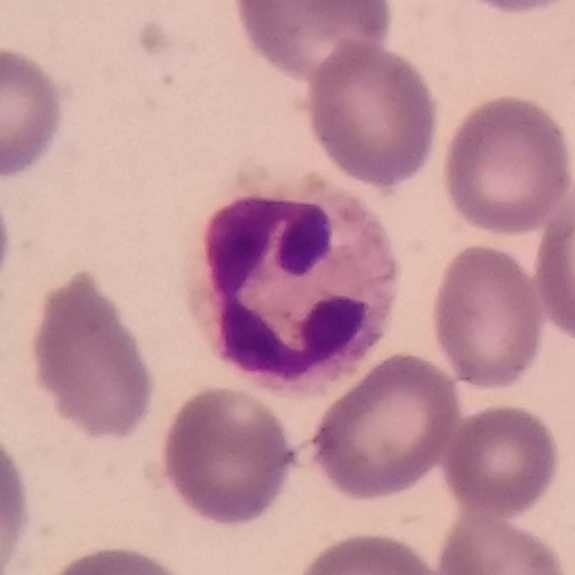 Image: Peripheral blood film. Single cell identified as a neutrophil granulocyte.